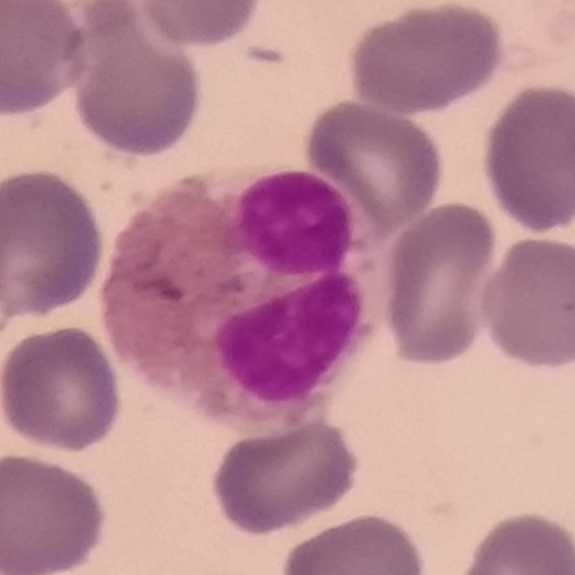 Q: What is shown here?
A: It is an eosinophilic granulocyte. Acquisition: Photographed through a light microscope with a smartphone camera · peripheral blood film.